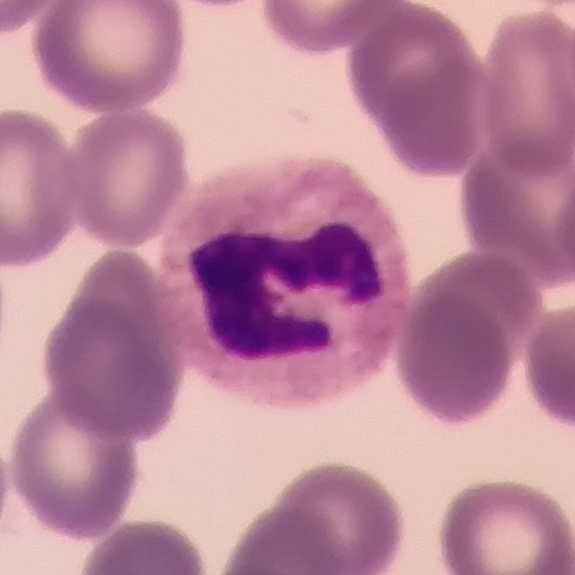Peripheral blood film. Imaged at 100×.
The cell shown is a neutrophilic granulocyte.